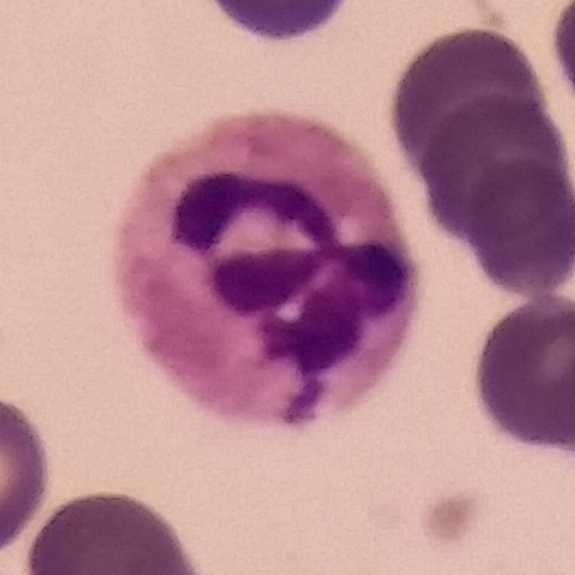Classification — neutrophilic granulocyte. Image: Peripheral blood smear.